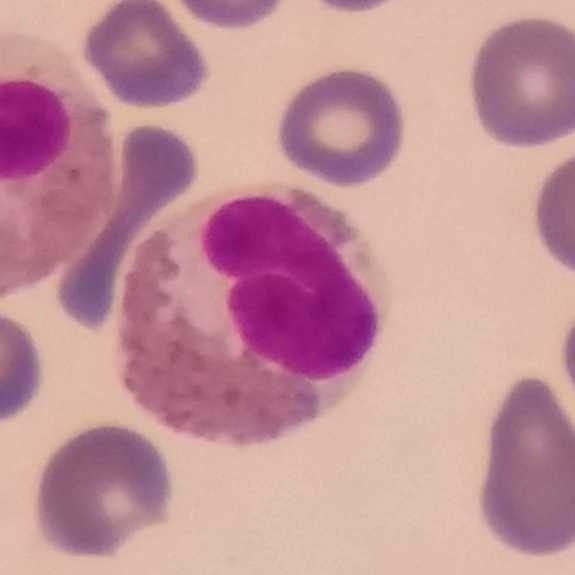

Peripheral blood smear. Photographed through a light microscope with a smartphone camera.
Morphological class: eosinophil.